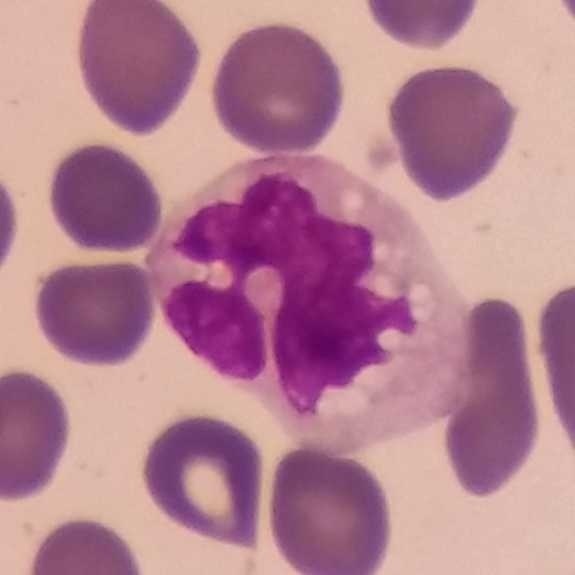 Context: Single-cell crop; Giemsa stain; peripheral blood film.
Morphology consistent with a monocyte.